Single-cell field. Peripheral blood smear.
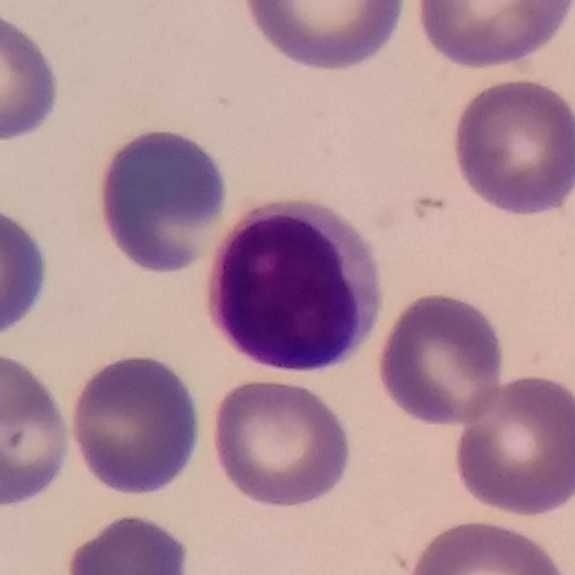
Cell type = lymphocyte.